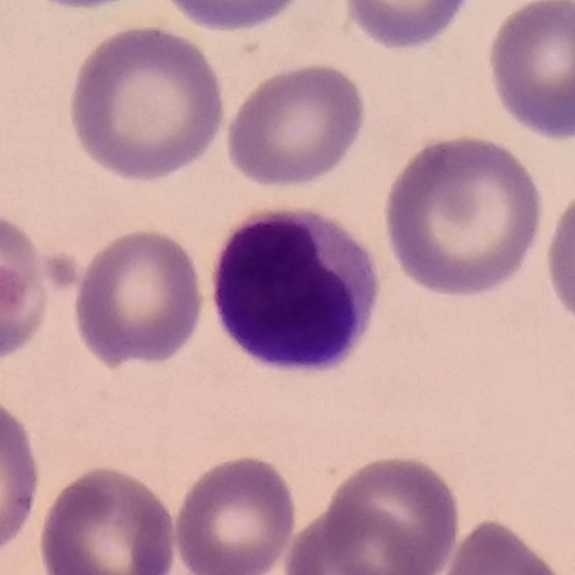Cell = lymphocyte. Acquisition: Peripheral blood smear.